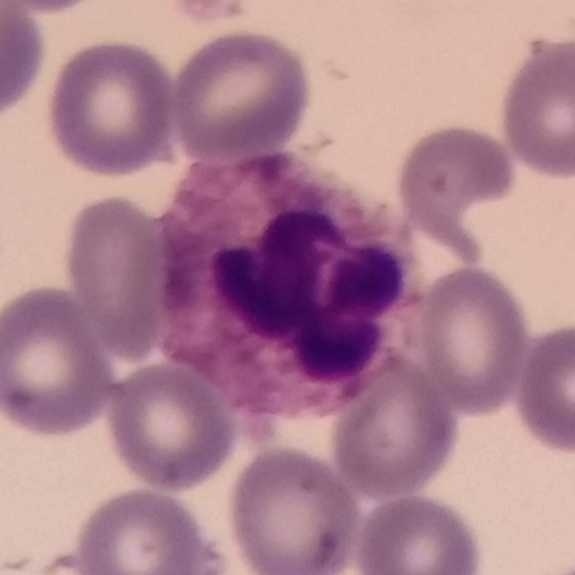Specimen: peripheral blood film.
Morphological class: neutrophil.
Lineage: myeloid. Smartphone camera mounted on the microscope eyepiece.